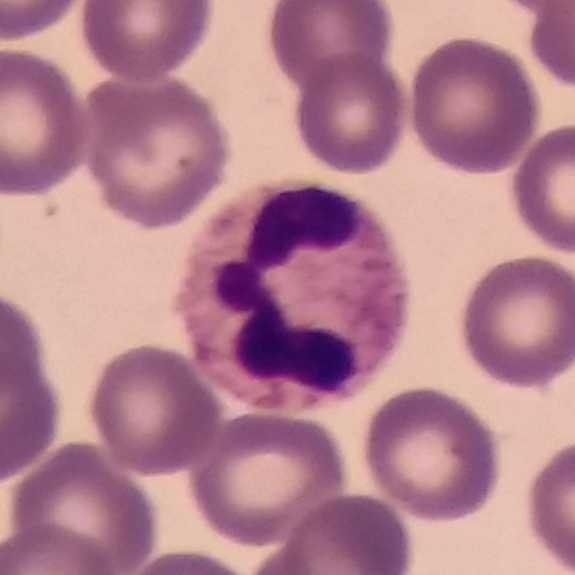 The white blood cell type is neutrophil granulocyte.

Peripheral blood smear · single white blood cell cropped from the smear photograph.